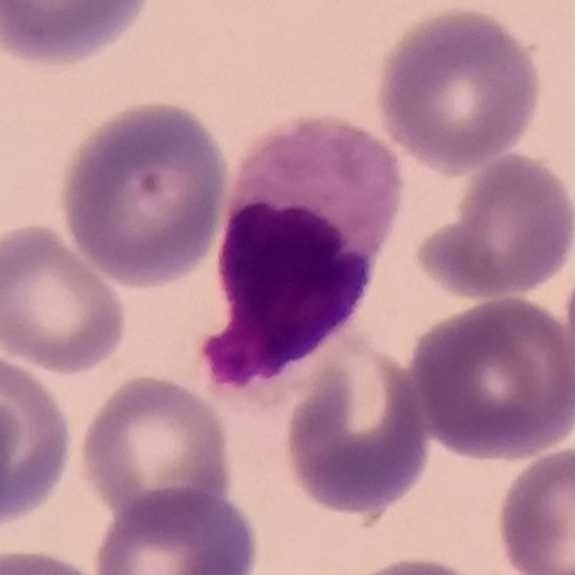
Image: Image size 575×575 · peripheral blood film. White blood cell type — lymphocyte.